Peripheral blood smear.
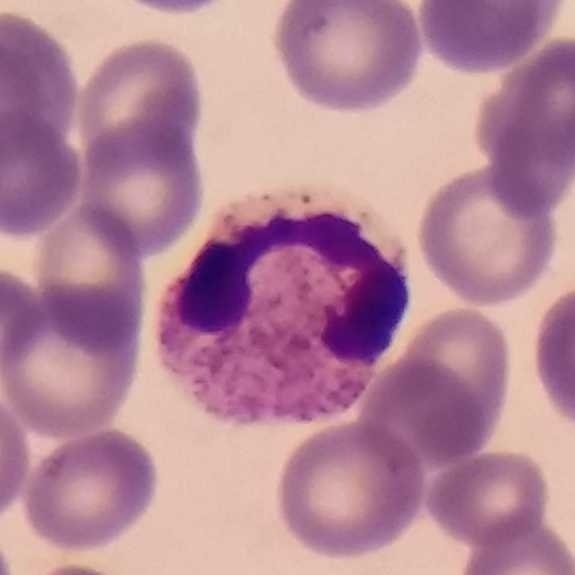

Specimen: peripheral blood smear.
Cell: neutrophil.
Lineage: myeloid.